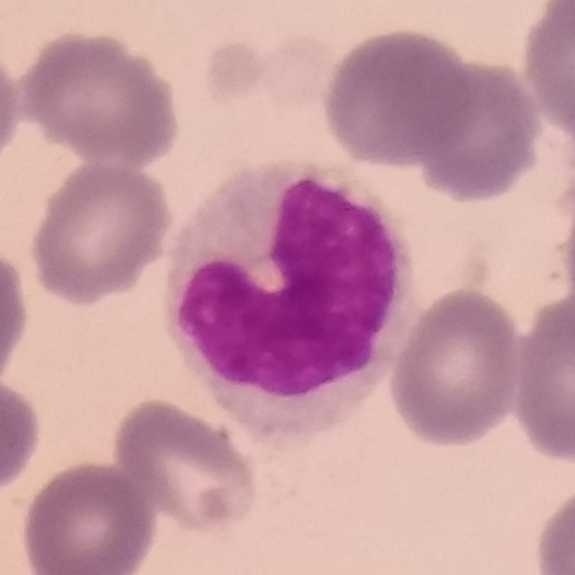
Classification — monocyte.
Preparation: Peripheral blood smear.